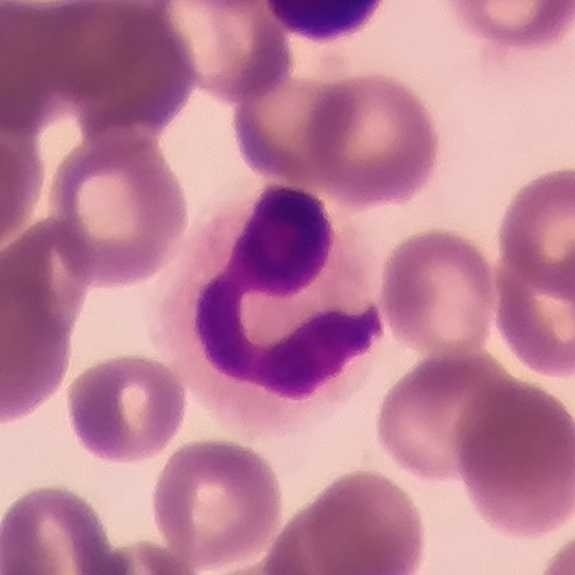
White blood cell from a peripheral blood smear: neutrophil.